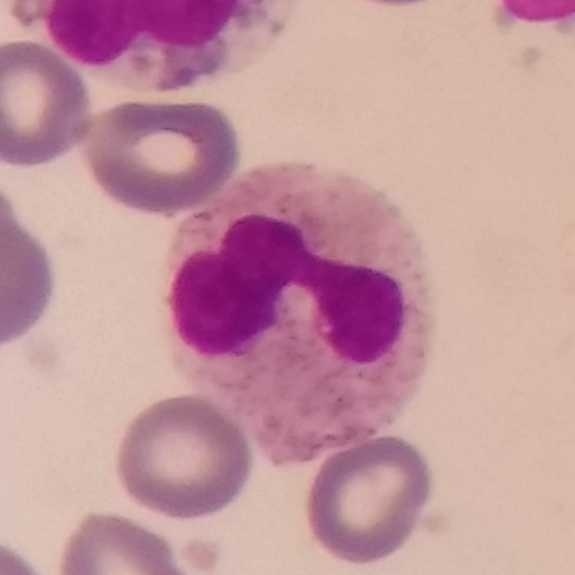

An eosinophil on a peripheral blood smear.